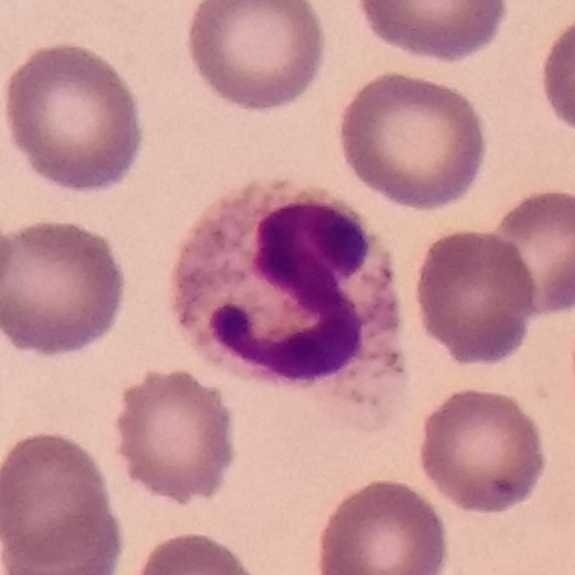The white blood cell in this image is a neutrophilic granulocyte.